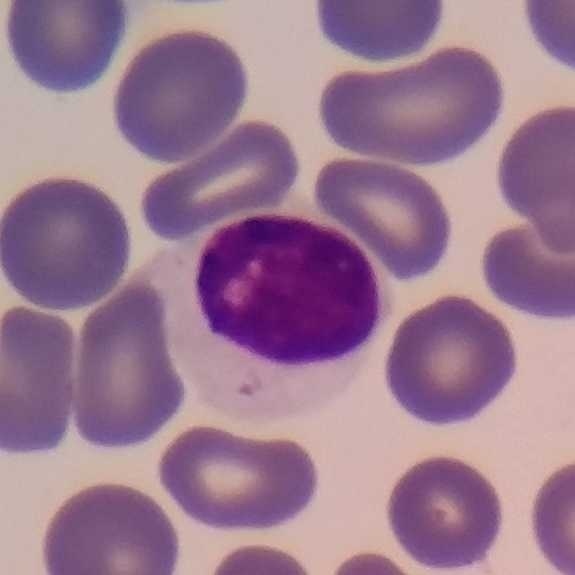Identified as a lymphocyte.